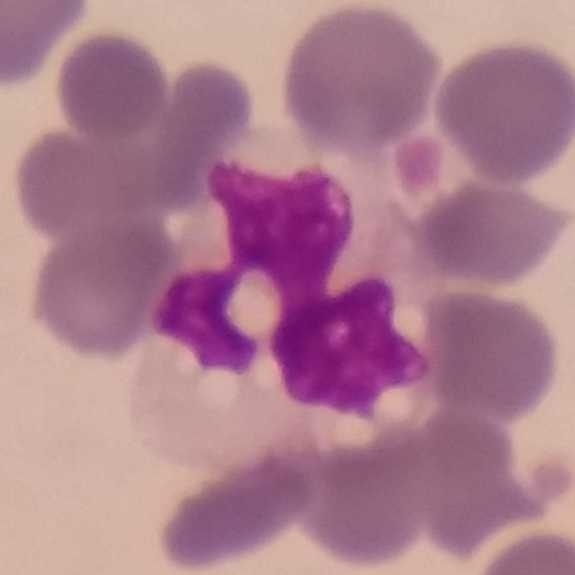
A monocyte on a peripheral blood smear.